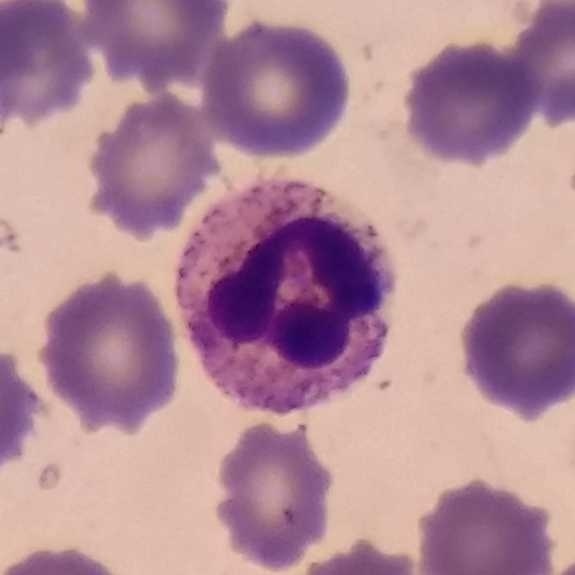

Specimen: peripheral blood smear.
Morphological class: neutrophil granulocyte.